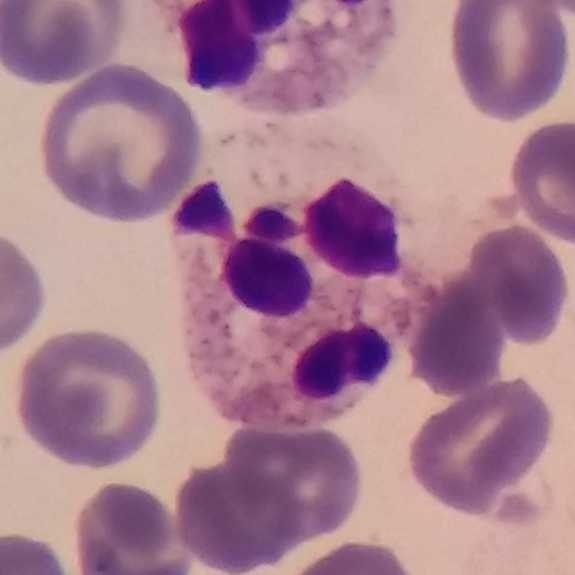
Peripheral blood film.
Single cell identified as a neutrophil granulocyte.